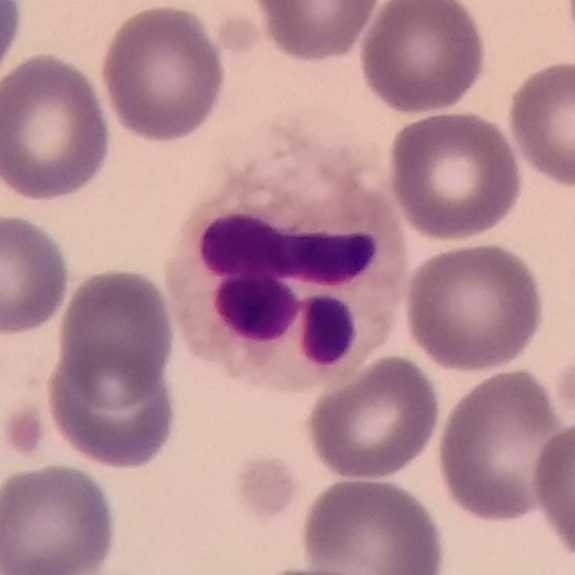

Classification — neutrophilic granulocyte.
Image: Image size 575×575; 100× magnification; peripheral blood film.